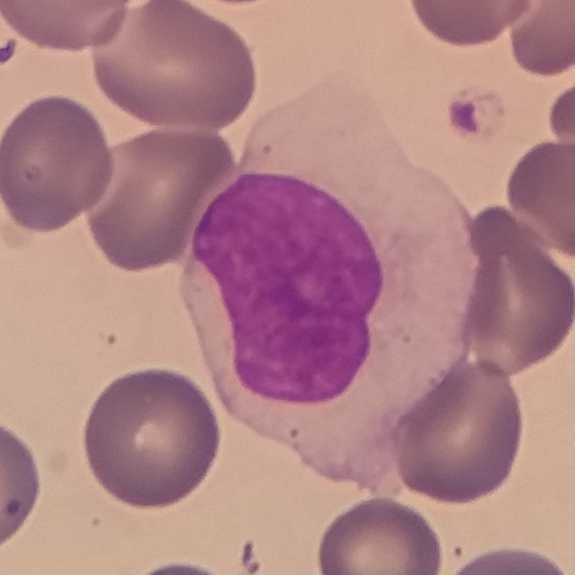
Morphology — monocyte.